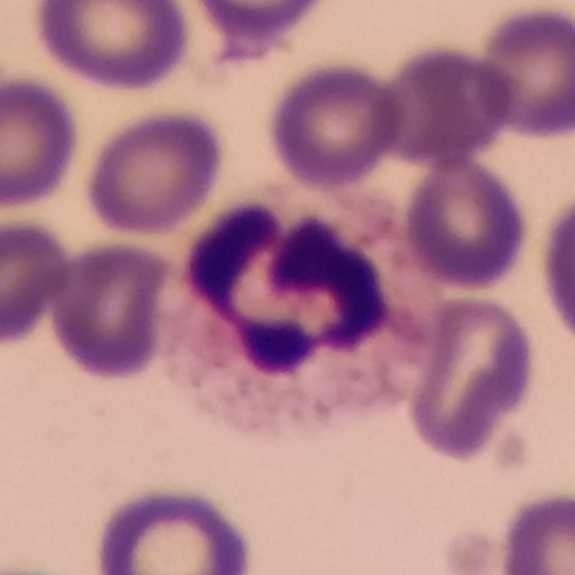 Acquisition: Giemsa-stained · peripheral blood film · single-cell crop. Impression → neutrophil.